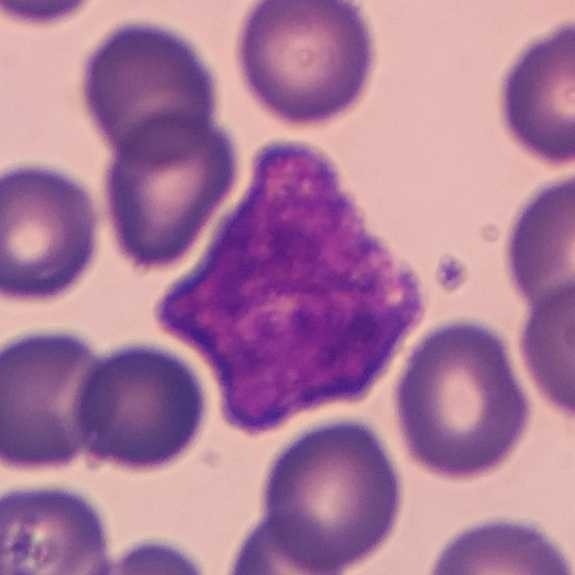

Context: Phone-camera image taken through the microscope ocular; peripheral blood smear; single-cell crop.

The cell type is neutrophil granulocyte.